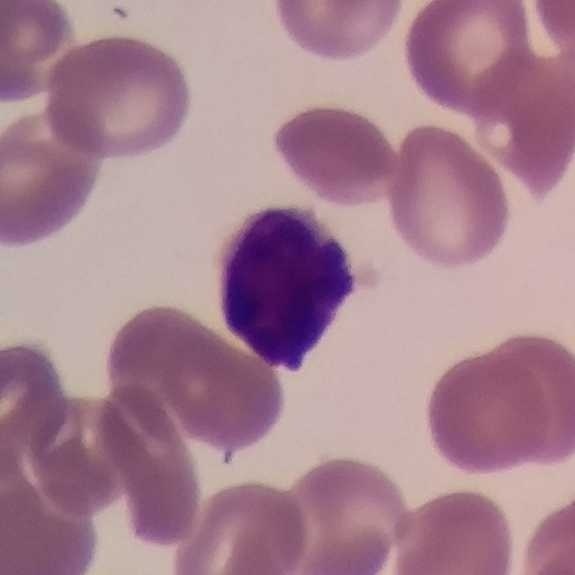
Specimen: peripheral blood film.
White blood cell type: lymphocyte.
Lineage: lymphoid.